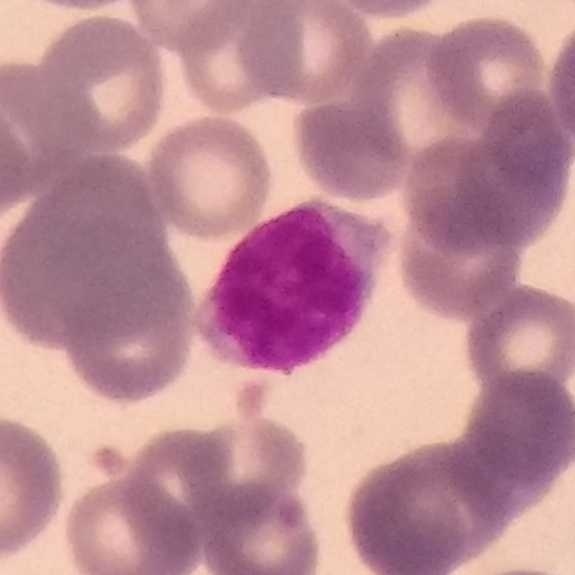 Cell: lymphocyte. Preparation: Peripheral blood film.